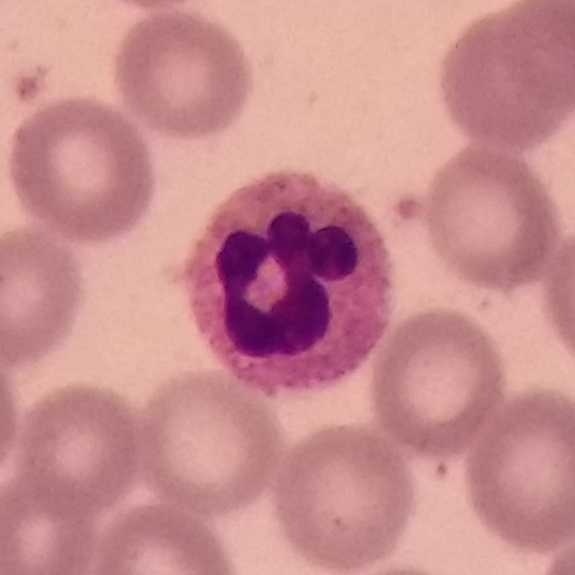
Showing a neutrophil.
Giemsa-stained; peripheral blood smear.